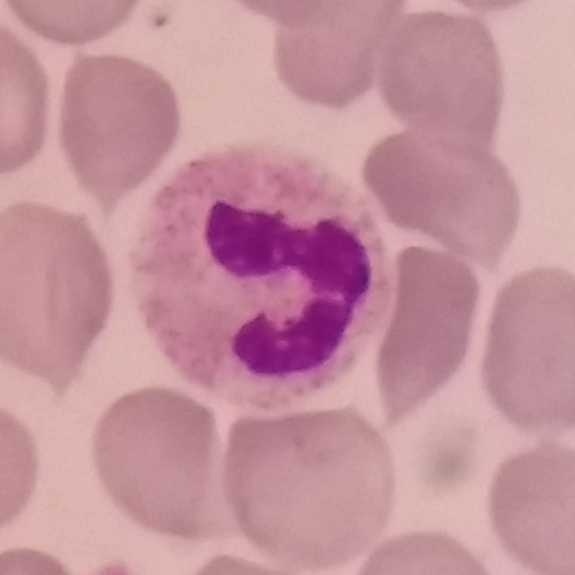
Morphology consistent with a neutrophilic granulocyte. Magnification 100×; peripheral blood film; 575 by 575 pixels.